Peripheral blood film; single-cell crop; imaged at 100× — 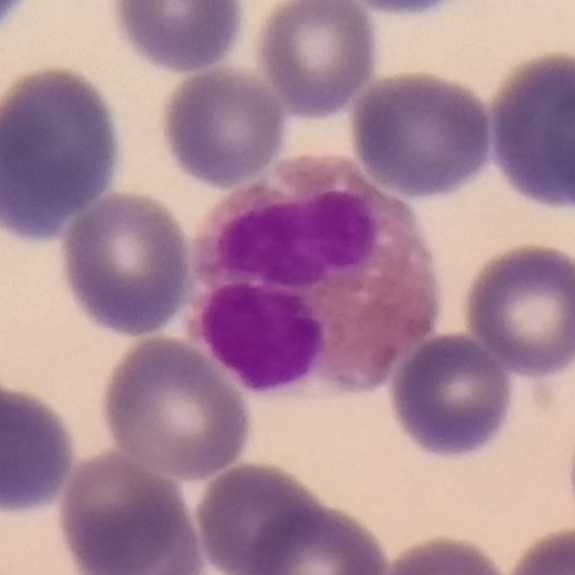 Specimen: peripheral blood smear.
Morphological class: eosinophil.
Lineage: myeloid.